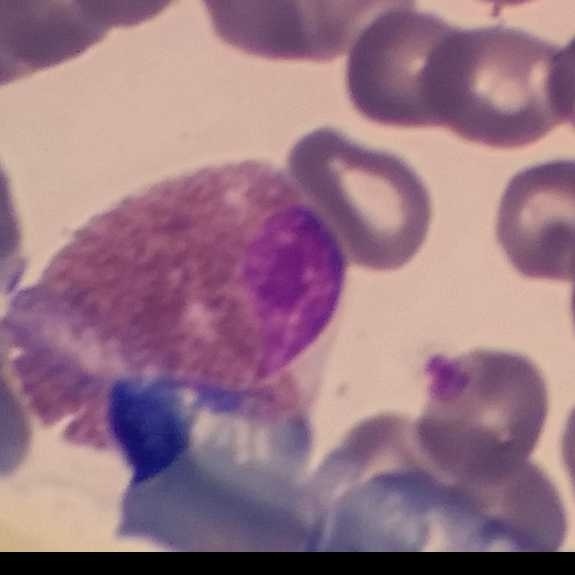Classification: eosinophilic granulocyte.